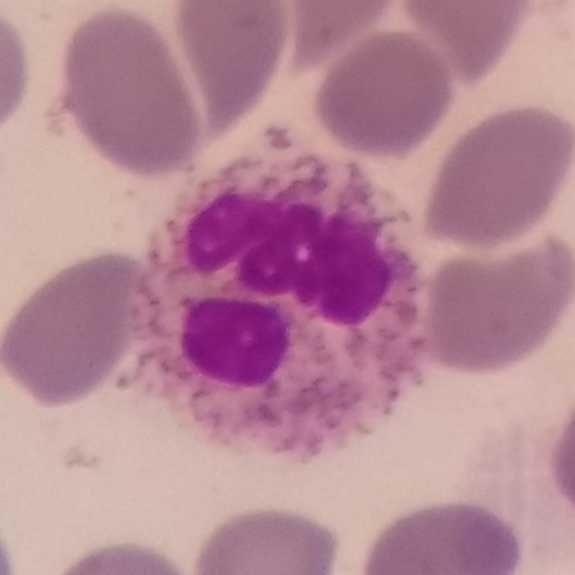

Peripheral blood smear. Impression — neutrophil granulocyte.